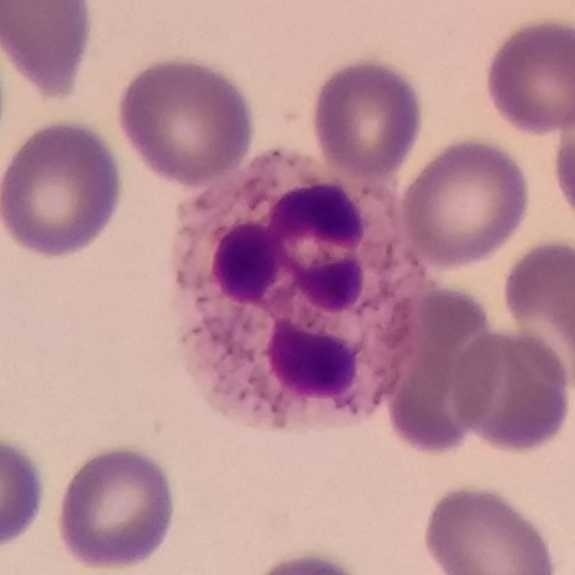

Cell type — neutrophil.
Stained with Giemsa · peripheral blood smear.